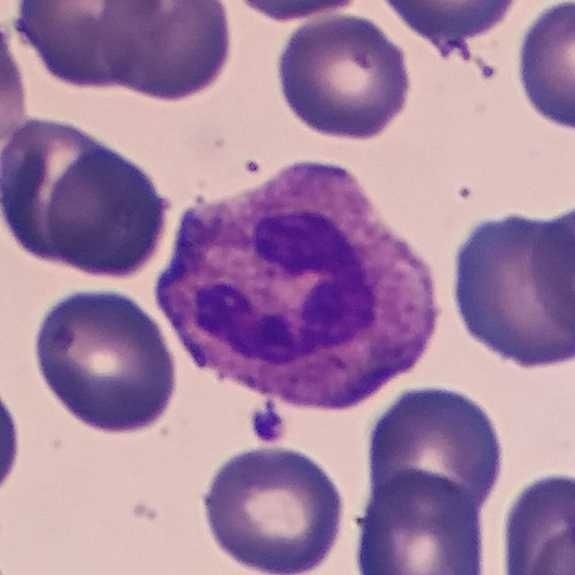

A neutrophilic granulocyte on a peripheral blood smear.